Peripheral blood smear: 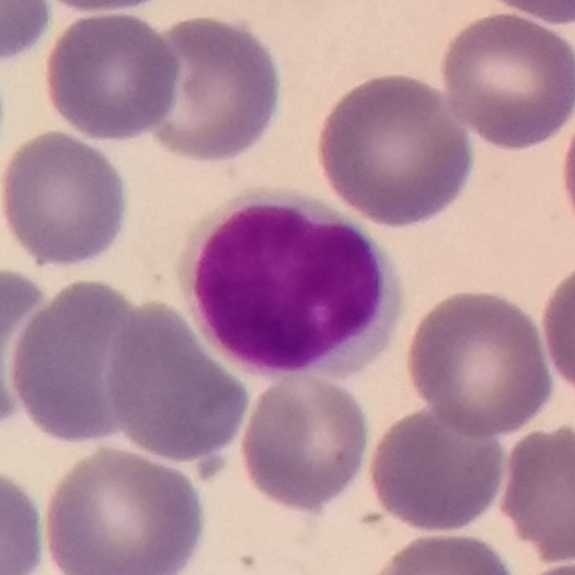
Impression — lymphocyte.